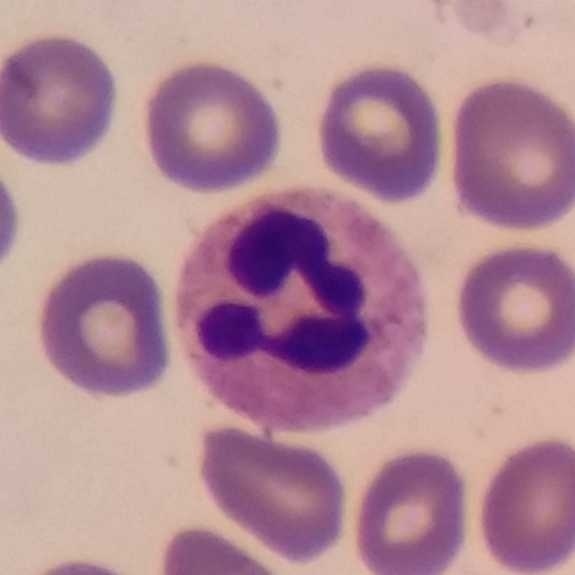 The white blood cell in this image is a neutrophil. Context: Peripheral blood smear · stained with Giemsa.